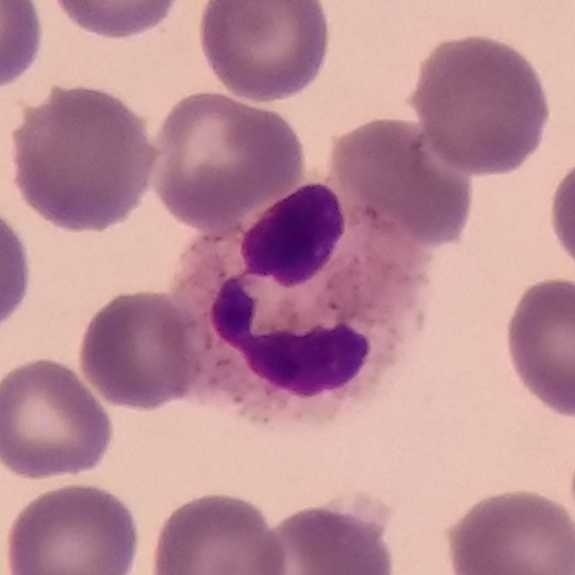
From a peripheral blood smear: a neutrophil granulocyte.